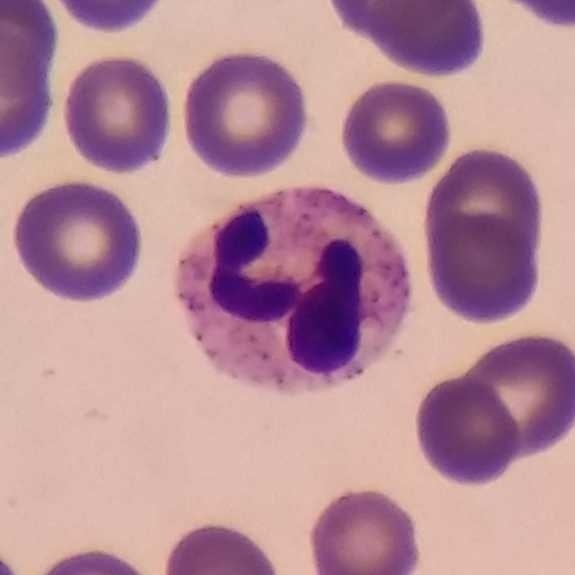Giemsa stain · 100× magnification.

Specimen: peripheral blood film.
White blood cell type: neutrophil.
Lineage: myeloid.